Peripheral blood smear. Imaged at 100×. 575×575.
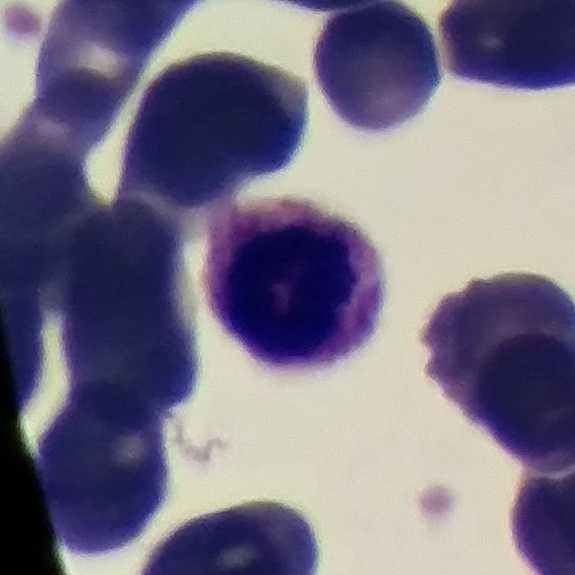

Q: What is this?
A: A neutrophil.